Peripheral blood film · imaged at 100×.
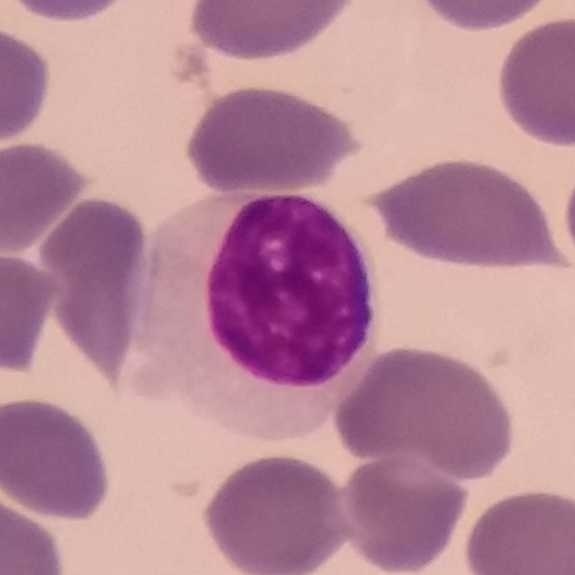
Q: What type of cell is this?
A: Lymphocyte.